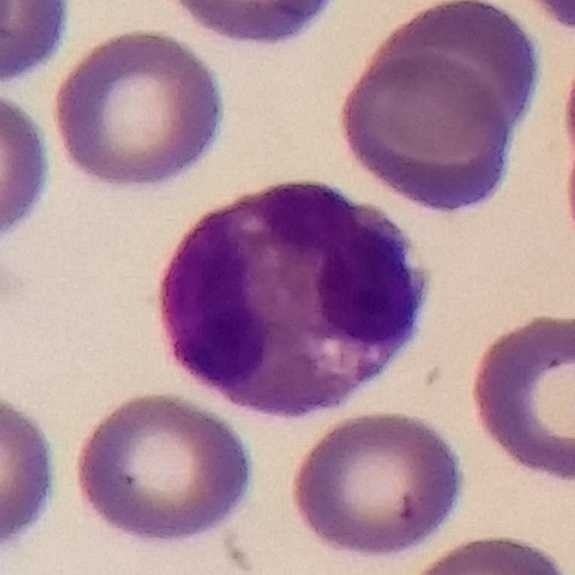
Morphological class: eosinophilic granulocyte.